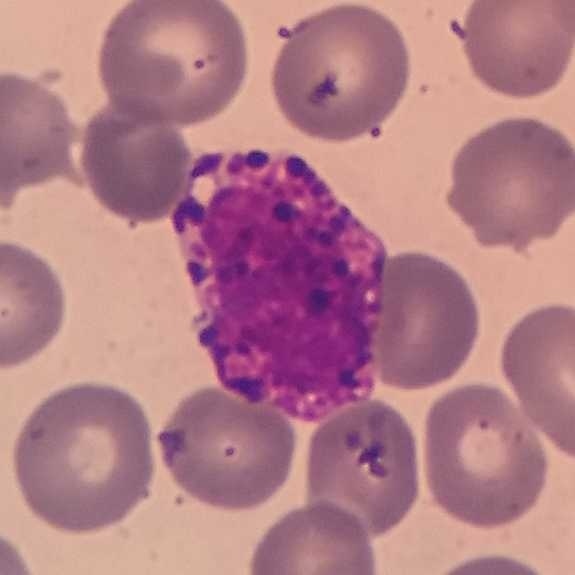Impression — neutrophil granulocyte.

Peripheral blood smear.